Imaged at 100×. Peripheral blood smear.
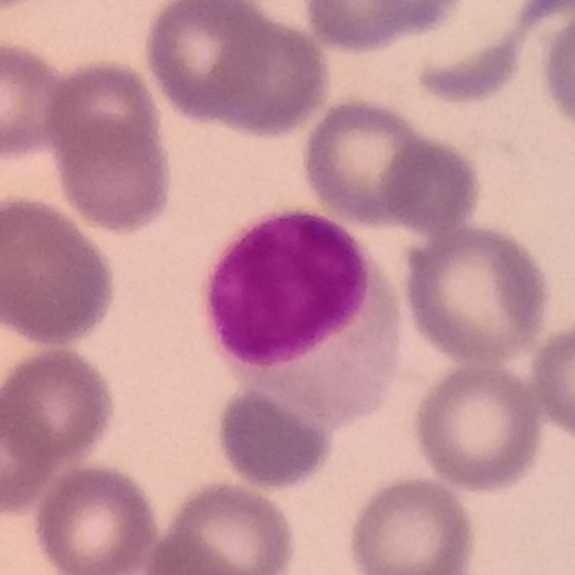
Single cell identified as a lymphocyte.